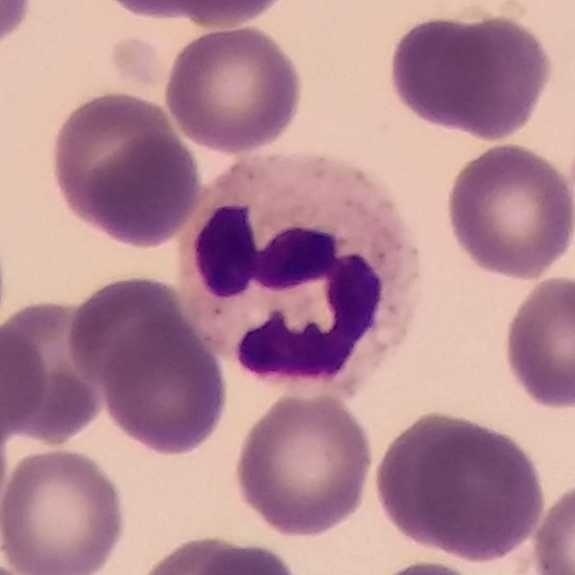

Q: What cell is this?
A: It is a neutrophil.